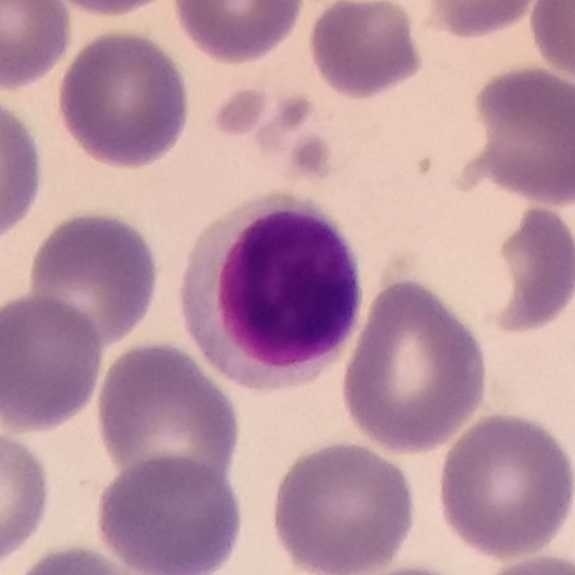

{"cell_type": "lymphocyte", "lineage": "lymphoid"}